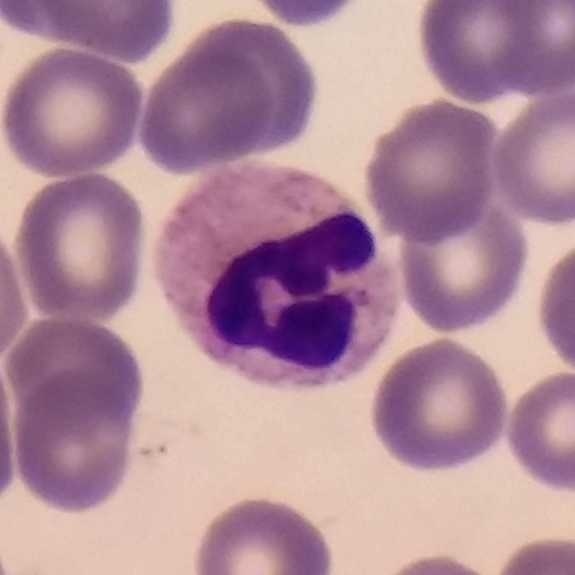
Peripheral blood film.

Morphology consistent with a neutrophil granulocyte.